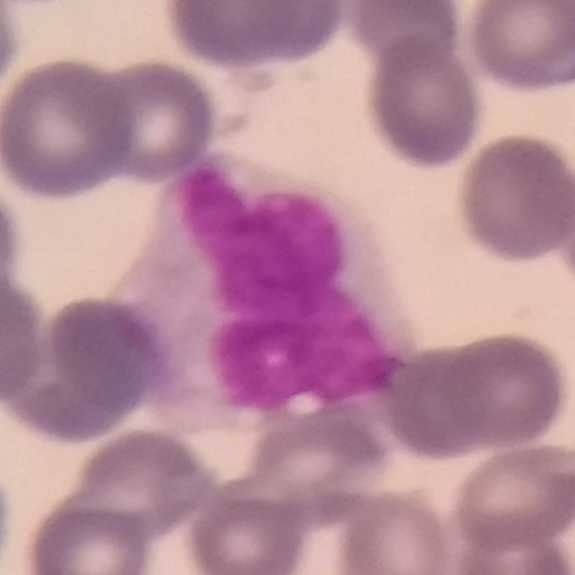 Specimen: peripheral blood film.
Cell type: monocyte.
Lineage: myeloid.